Peripheral blood film
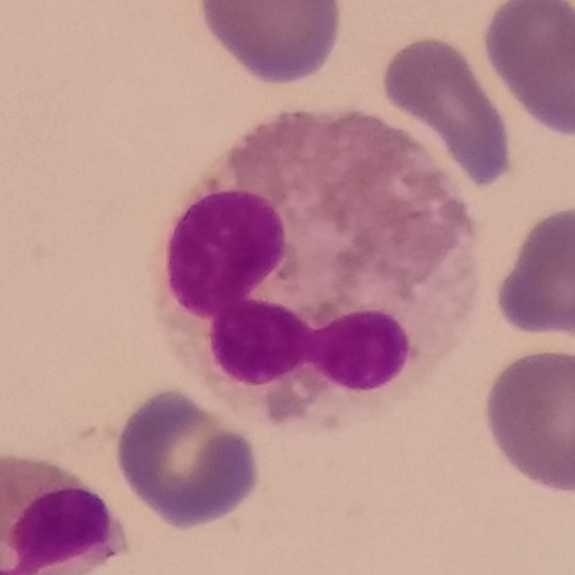
Q: What is the morphological classification of this cell?
A: An eosinophilic granulocyte.